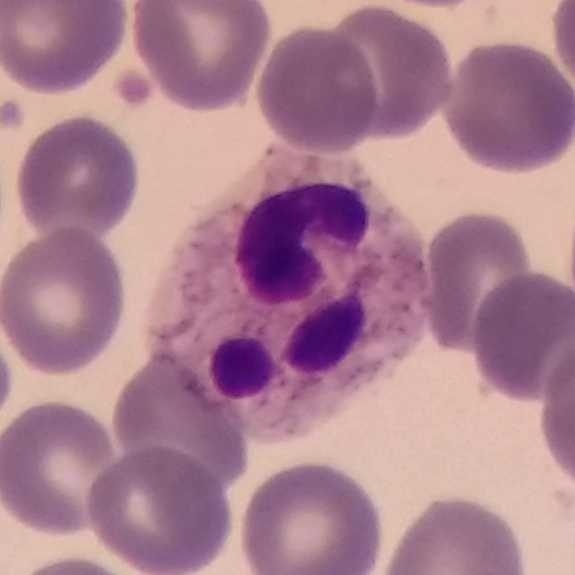
Identified as a neutrophil. Preparation: Peripheral blood film.